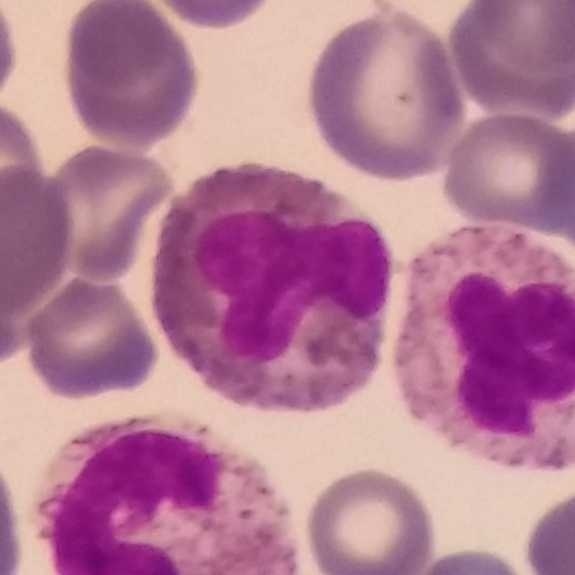Impression — eosinophilic granulocyte.